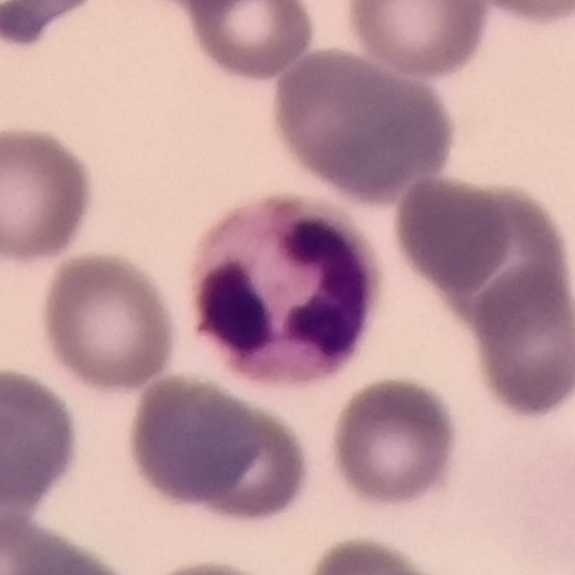

The white blood cell in this image is a neutrophil.
Context: Peripheral blood smear.